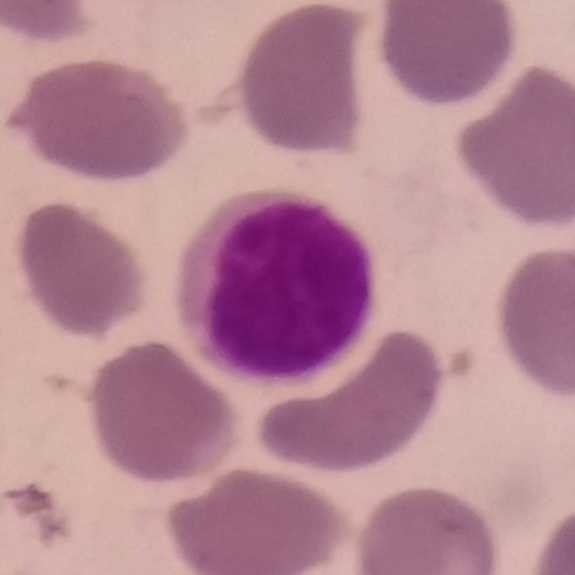

Showing a lymphocyte.
Peripheral blood film.